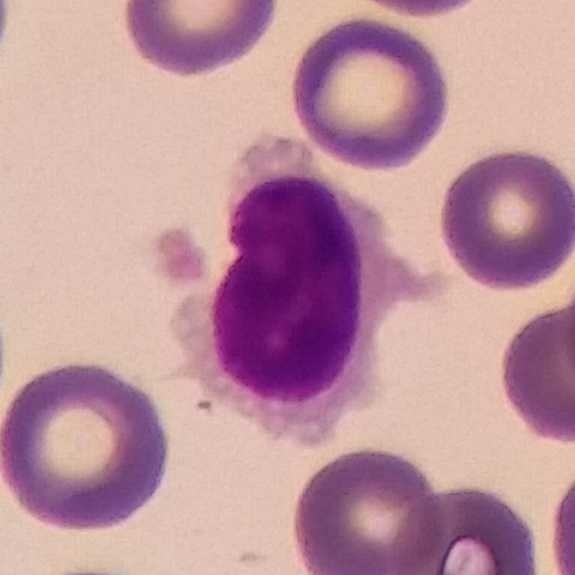

White blood cell from a peripheral blood smear: lymphocyte.